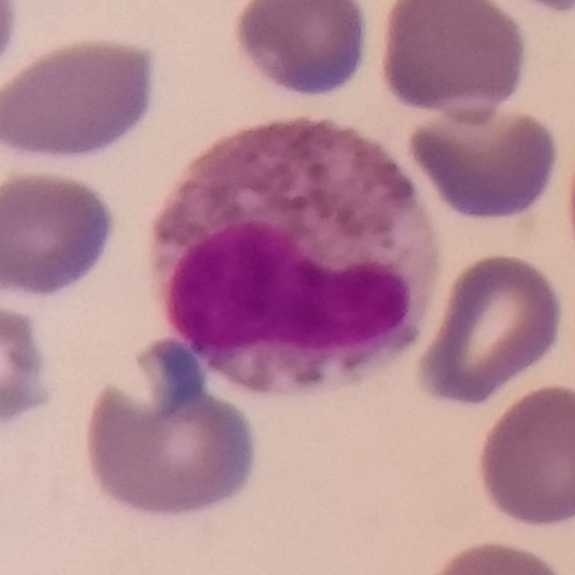

White blood cell type = eosinophilic granulocyte.
Context: Peripheral blood film · single white blood cell cropped from the smear photograph.